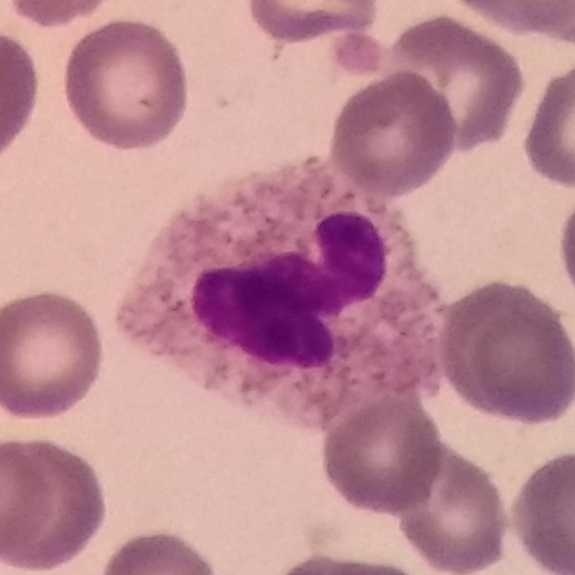 Cell — neutrophilic granulocyte.

Image: Peripheral blood smear.